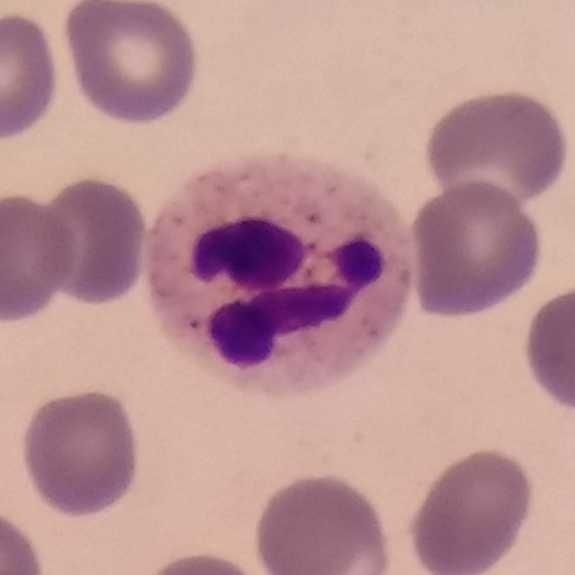

Q: What cell is this?
A: Neutrophilic granulocyte.